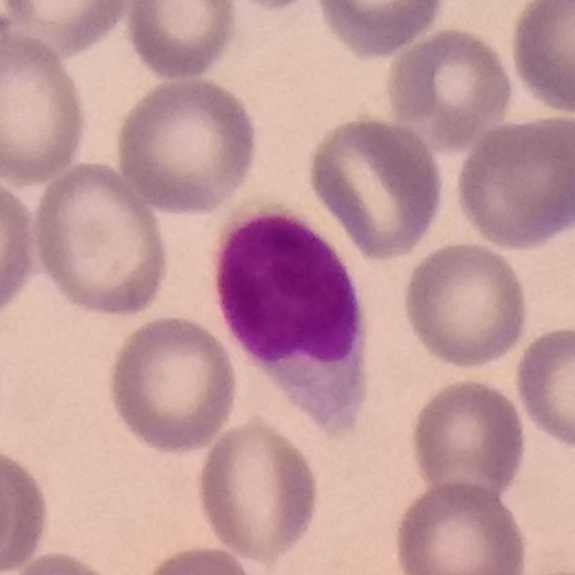 Impression — lymphocyte.